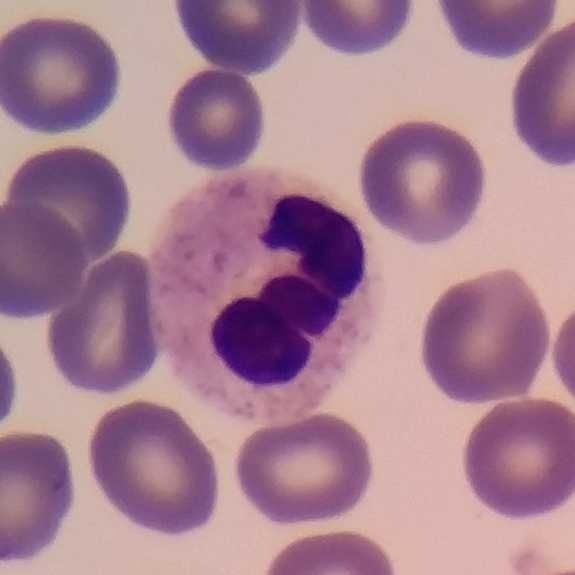 The white blood cell in this image is a neutrophilic granulocyte.